Giemsa stain; peripheral blood smear; smartphone camera mounted on the microscope eyepiece — 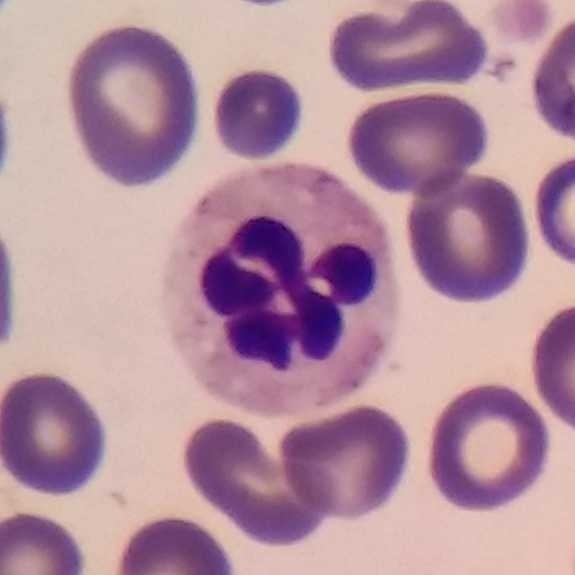 {"cell_type": "neutrophil granulocyte"}